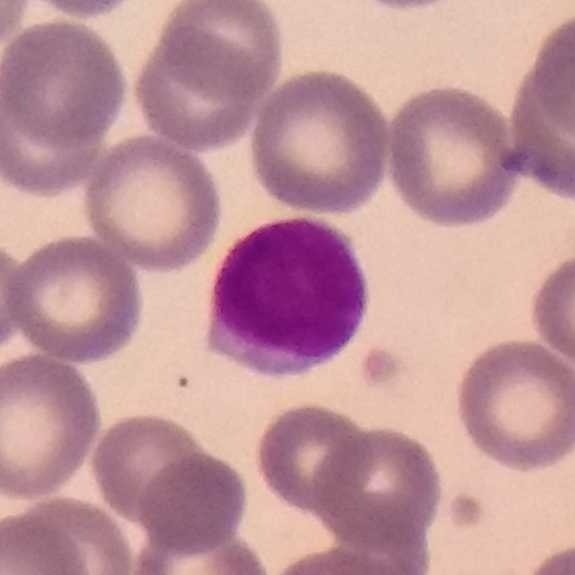
Acquisition: Peripheral blood film.

Morphology consistent with a lymphocyte.